Peripheral blood smear — 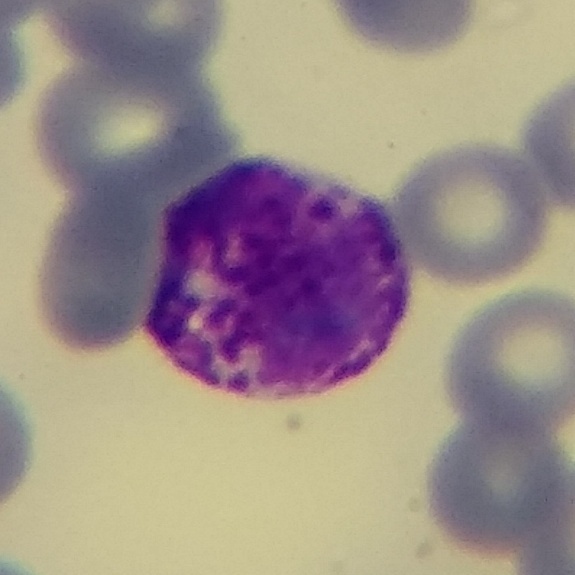 Showing a basophilic granulocyte.